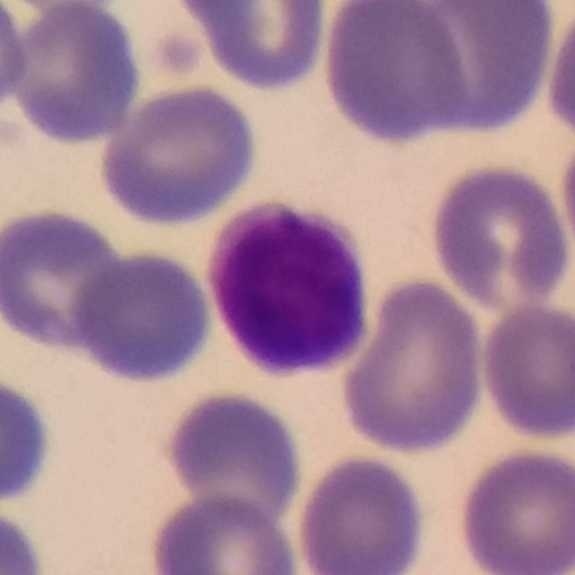Peripheral blood smear. The cell shown is a lymphocyte.